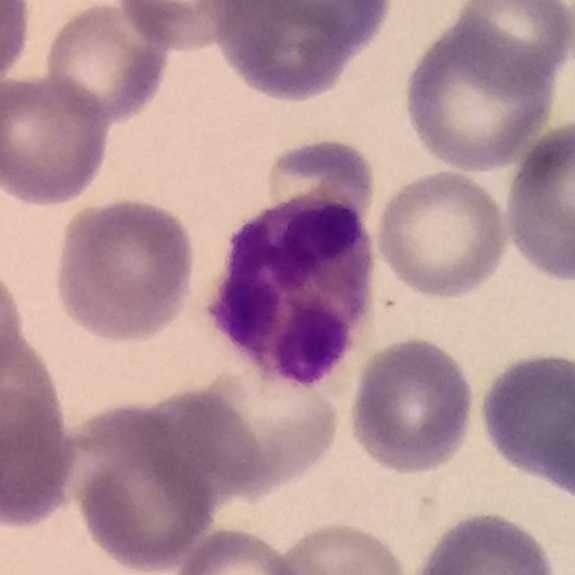
Q: What is this?
A: It is a neutrophil.